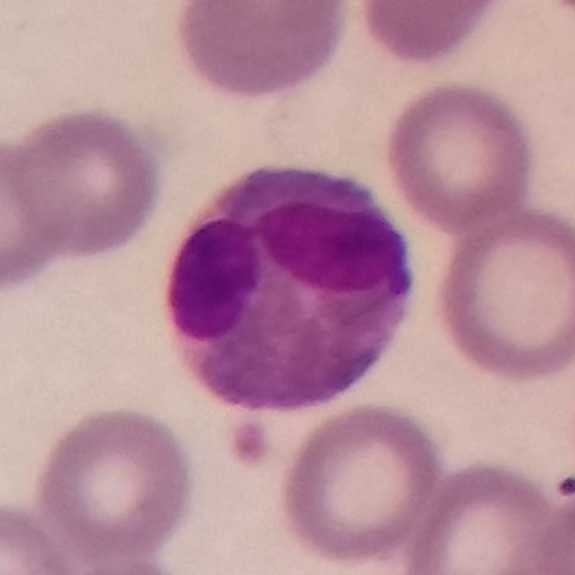Preparation: Peripheral blood smear.

An eosinophil.